Peripheral blood smear · 575×575 px: 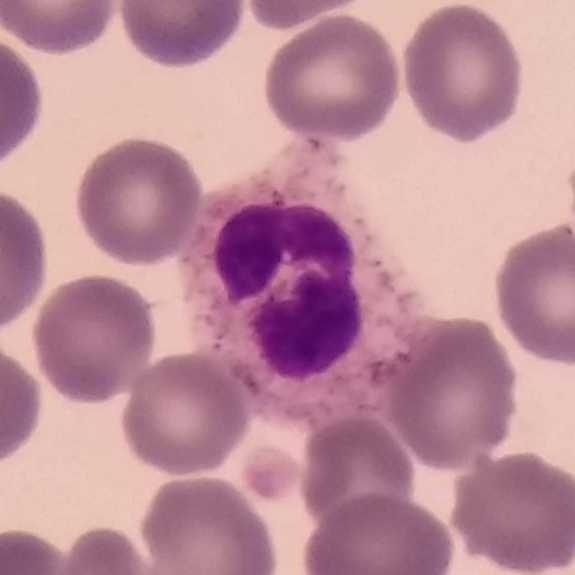

Showing a neutrophil.